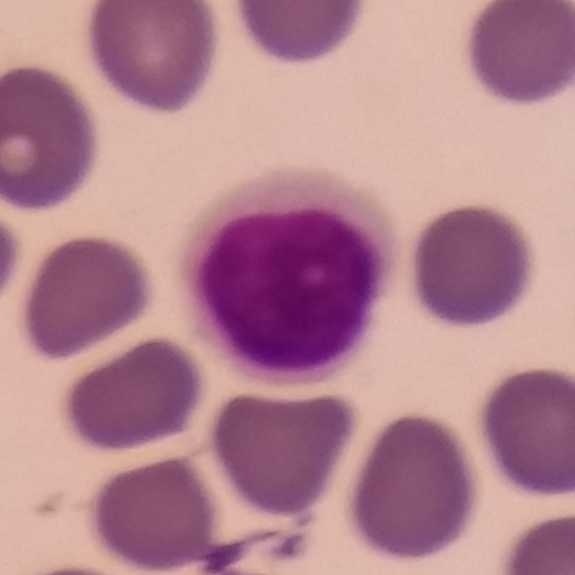

Phone-camera image taken through the microscope ocular · peripheral blood smear.

Showing a lymphocyte.